Peripheral blood film; phone-camera image taken through the microscope ocular; imaged at 100×.
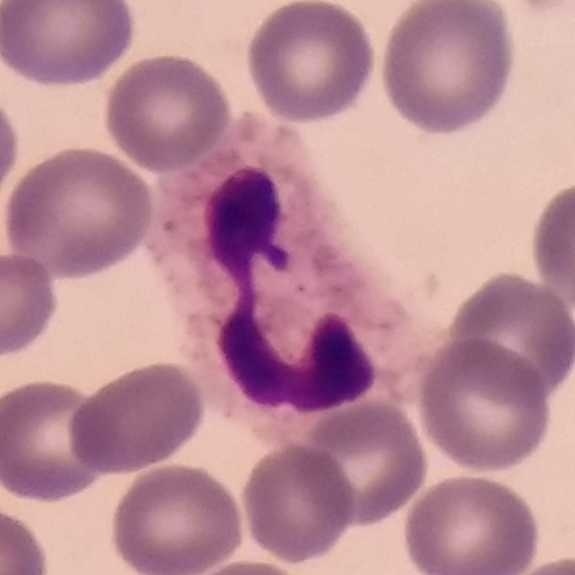 {"cell_type": "neutrophil granulocyte"}